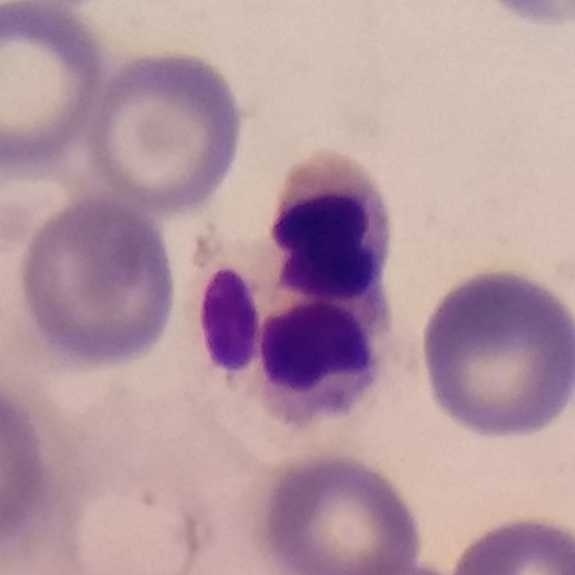 The cell shown is a neutrophil granulocyte. Image: Peripheral blood film · single-cell field · smartphone photomicrograph.